Peripheral blood smear · single white blood cell cropped from the smear photograph:
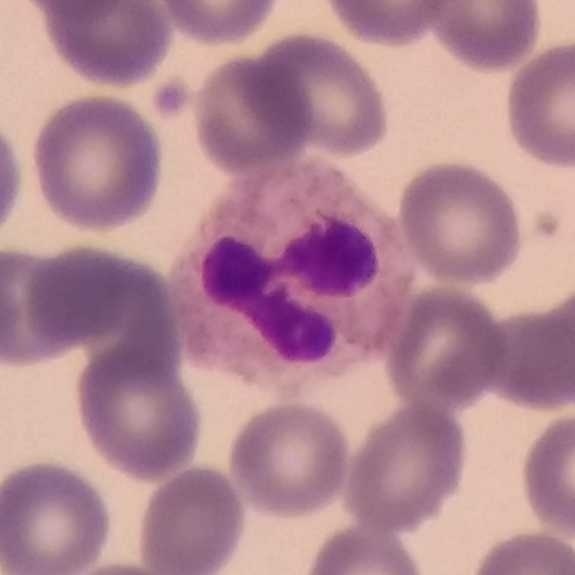
Morphology → neutrophil.